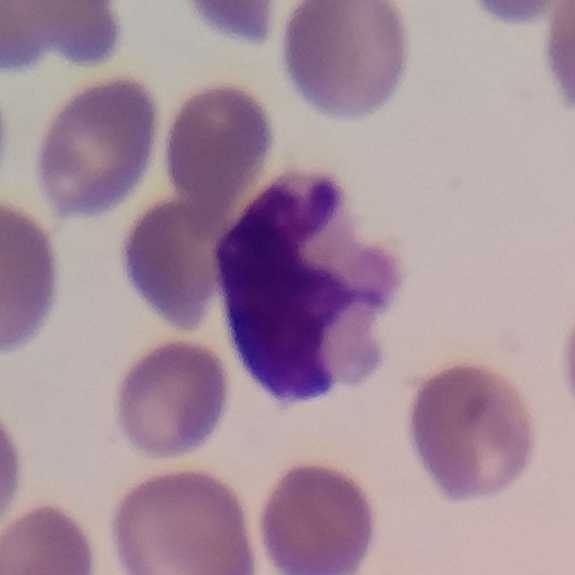

Classification — lymphocyte. Preparation: Peripheral blood film · image size 575×575 · Giemsa-stained.